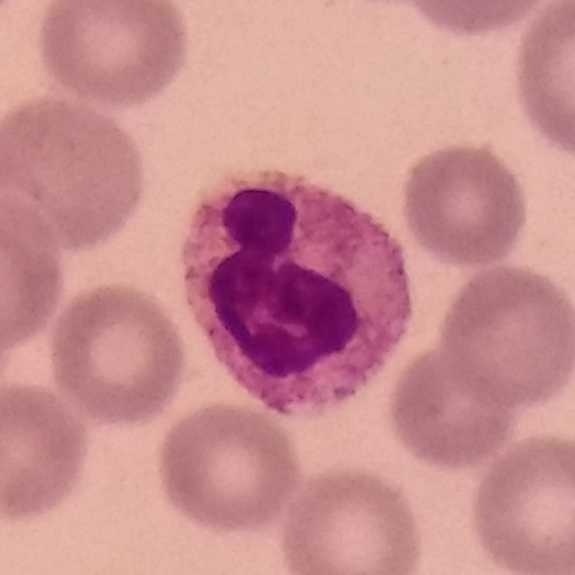 Peripheral blood film; single-cell crop; Giemsa-stained. Q: What type of cell is this?
A: Neutrophil.